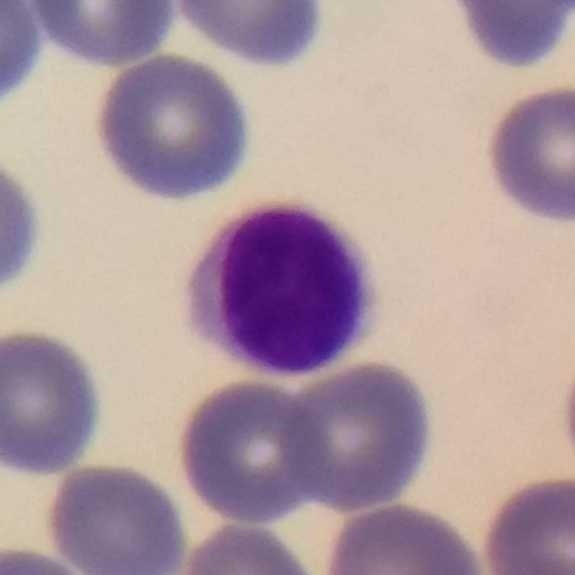Q: What is this?
A: A lymphocyte.